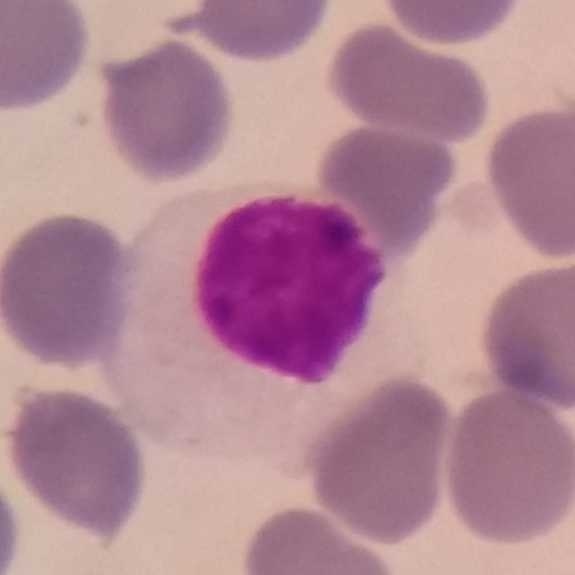
Context: Peripheral blood smear. White blood cell type — lymphocyte.